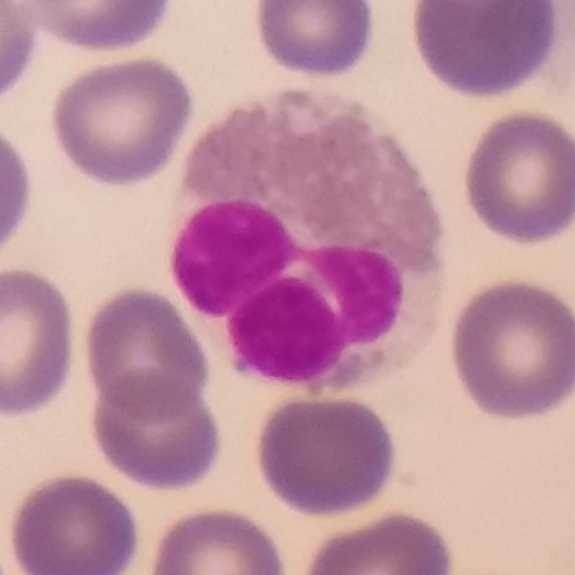 Cell type: eosinophil.